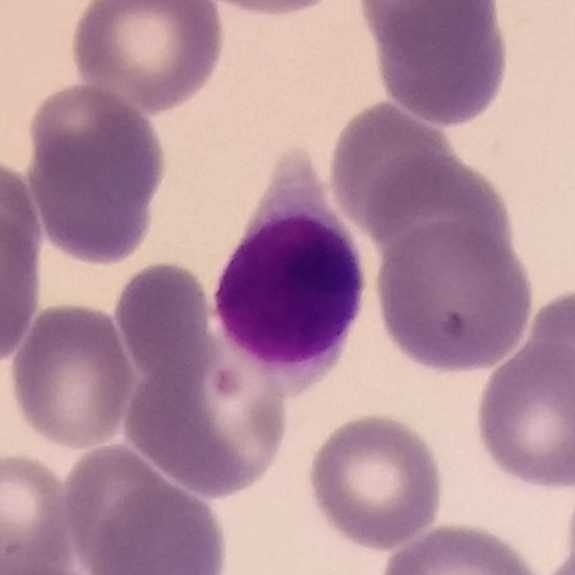Cell type = lymphocyte. Acquisition: Peripheral blood film.